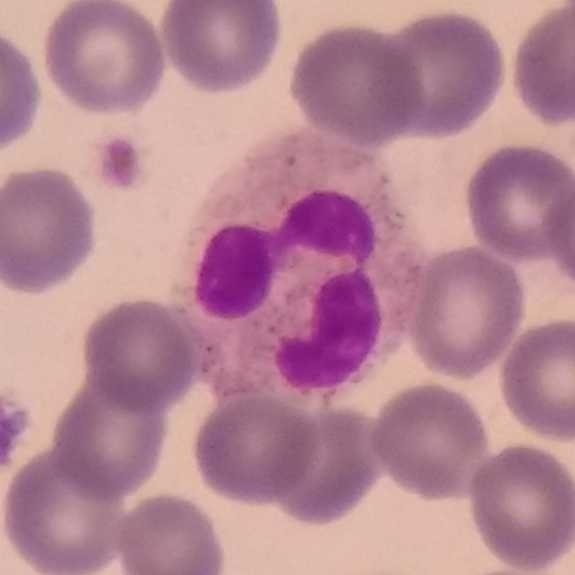
Q: What type of cell is this?
A: It is a neutrophil.

Phone-camera image taken through the microscope ocular · magnification 100× · peripheral blood smear.